Peripheral blood smear; imaged at 100×:
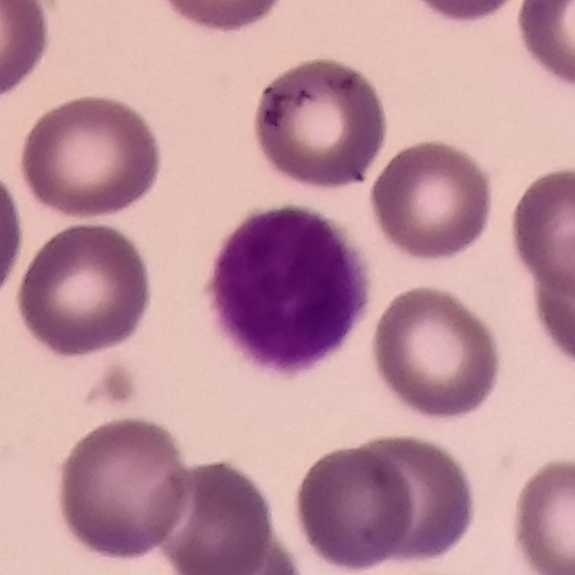 This is a lymphocyte.